Peripheral blood smear: 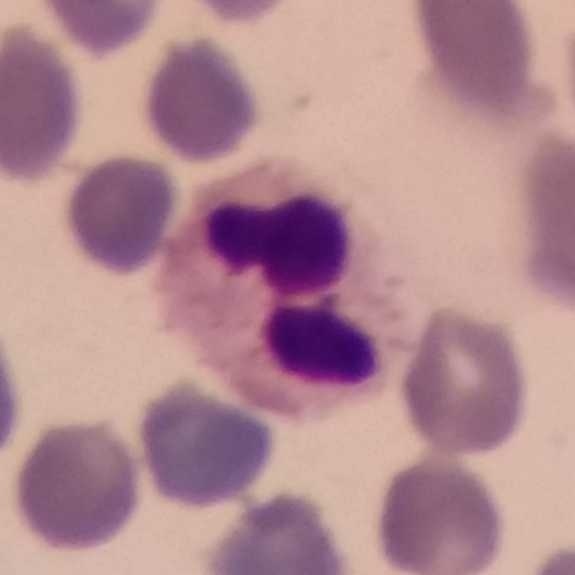 Cell: neutrophil.